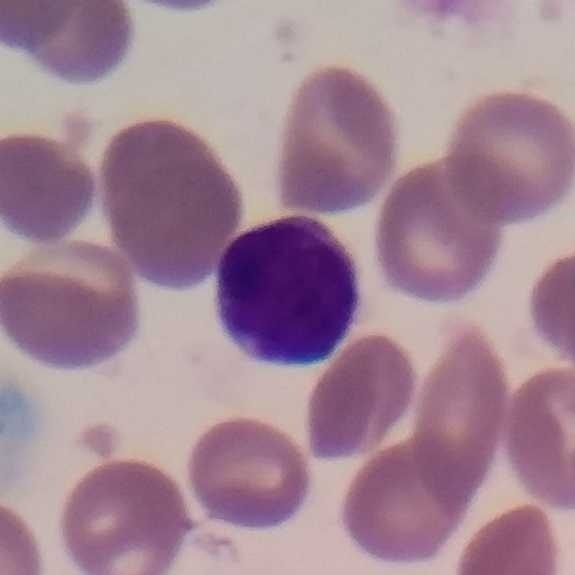 Smartphone camera mounted on the microscope eyepiece. Specimen: peripheral blood smear.
Cell: lymphocyte.
Lineage: lymphoid.